Peripheral blood smear · Giemsa-stained:
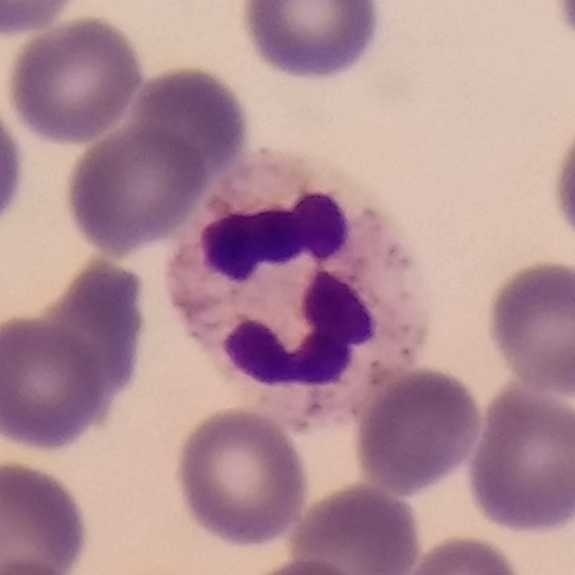
Impression → neutrophil granulocyte.